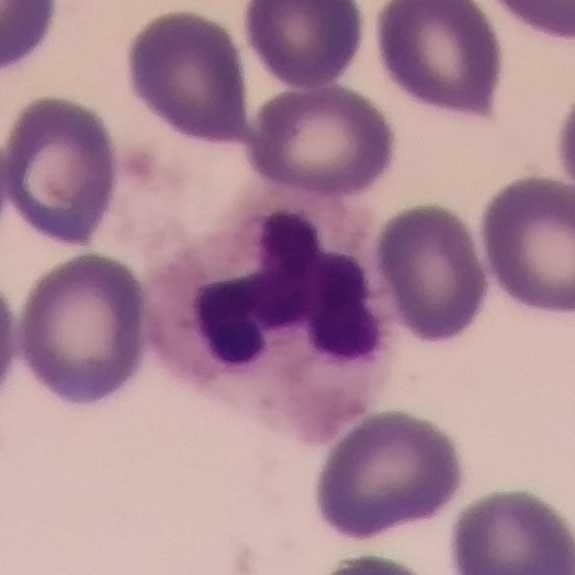

Identified as a neutrophil.